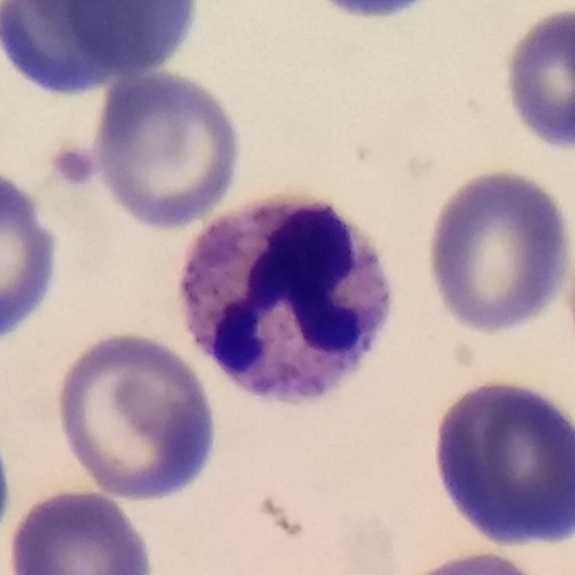 100× magnification · peripheral blood film · 575×575 px.

White blood cell type: neutrophil.